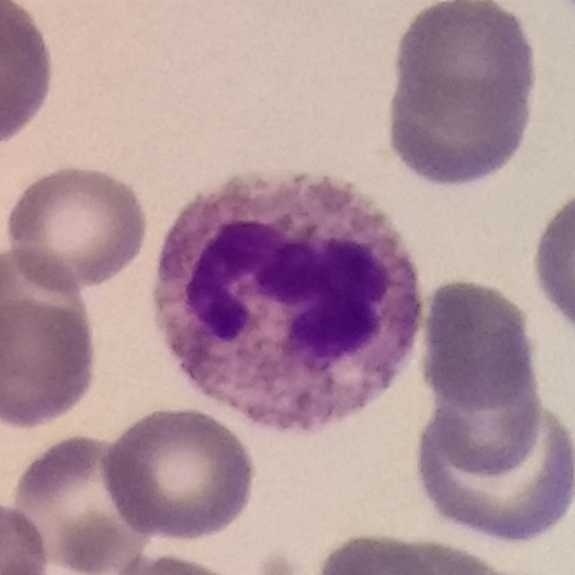Peripheral blood smear. Smartphone camera mounted on the microscope eyepiece. Q: Classify this leukocyte.
A: It is a neutrophil granulocyte.